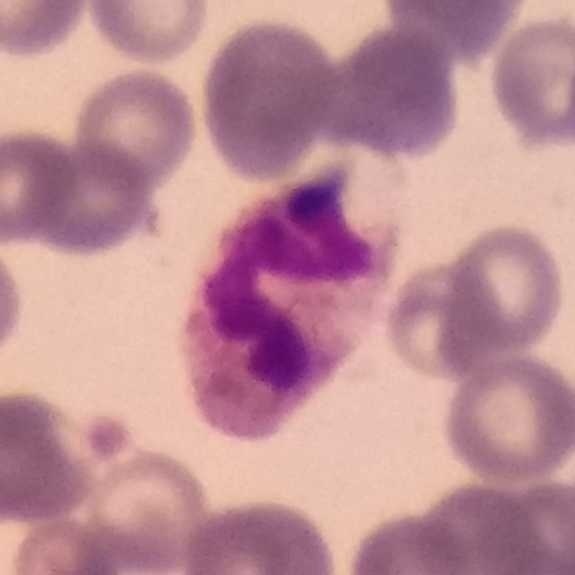
Specimen: peripheral blood smear.
Morphological class: neutrophil.
Lineage: myeloid.